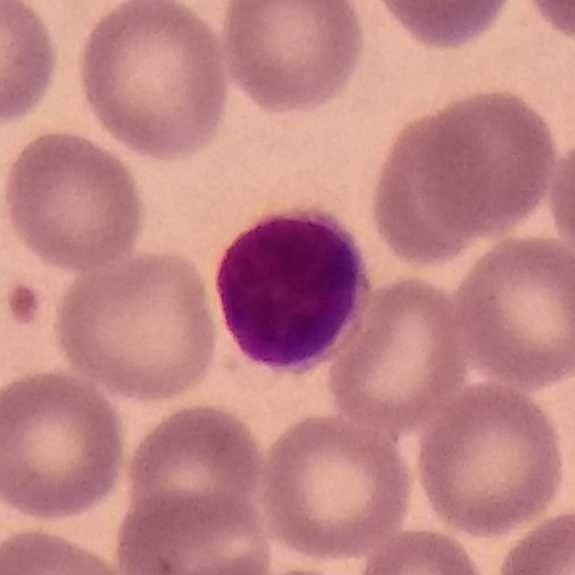Image: Peripheral blood smear. Single-cell field.

Classification — lymphocyte.